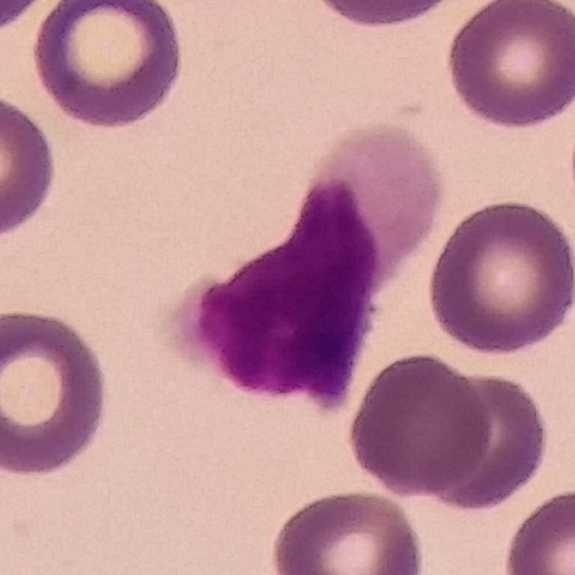 Cell = lymphocyte.

Context: 575 by 575 pixels · peripheral blood smear.